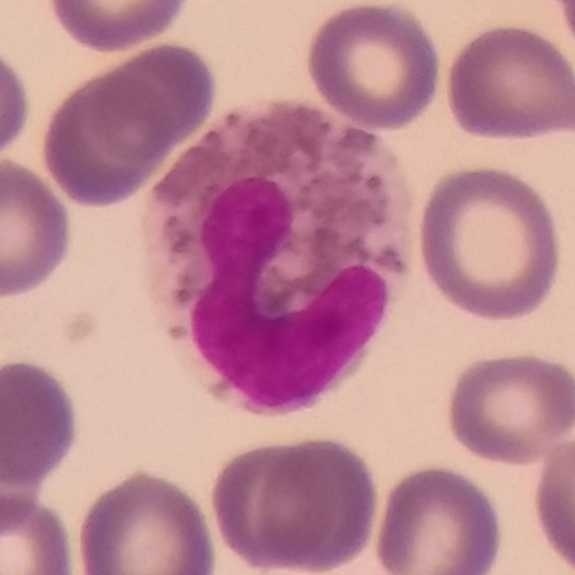 Identified as an eosinophilic granulocyte. Image: Stained with Giemsa; peripheral blood smear; 575×575.